Peripheral blood film:
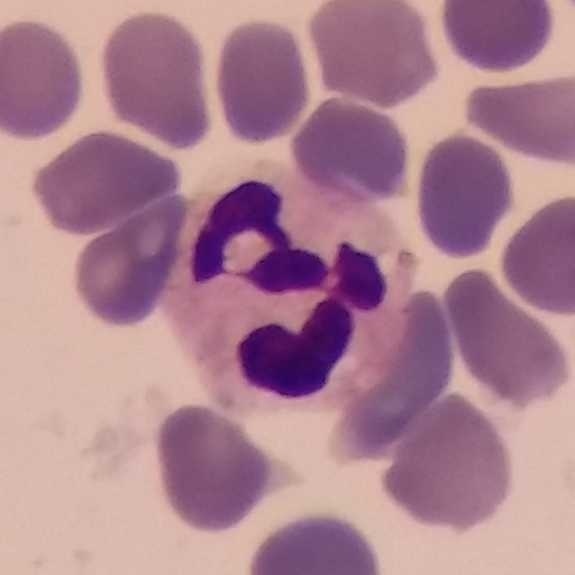Classification — neutrophilic granulocyte.